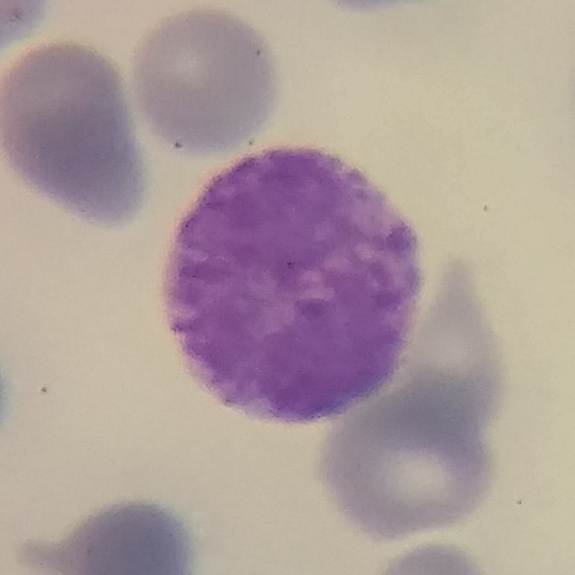Image: 575×575 px. Specimen: peripheral blood smear.
Cell: basophil.
Lineage: myeloid.